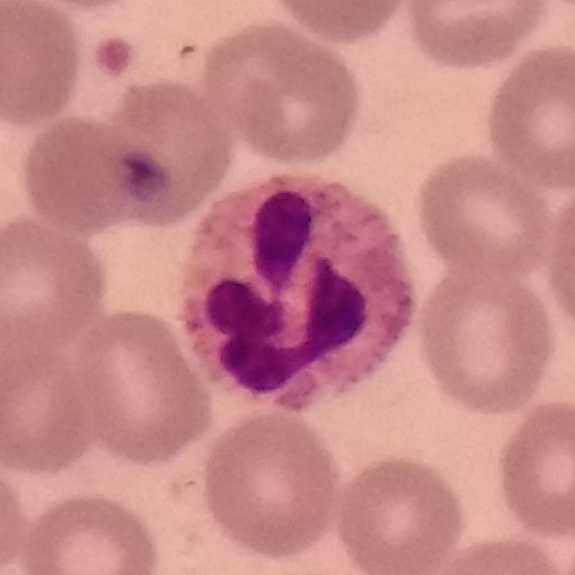575×575.

Specimen: peripheral blood smear.
Morphological class: neutrophil granulocyte.